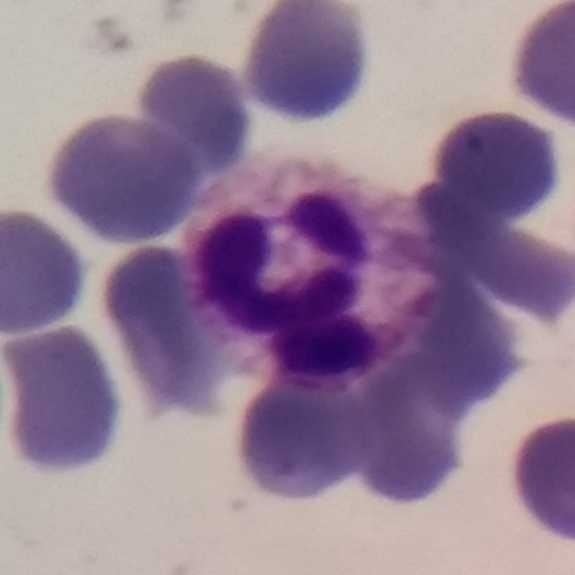White blood cell from a peripheral blood smear: neutrophil granulocyte.